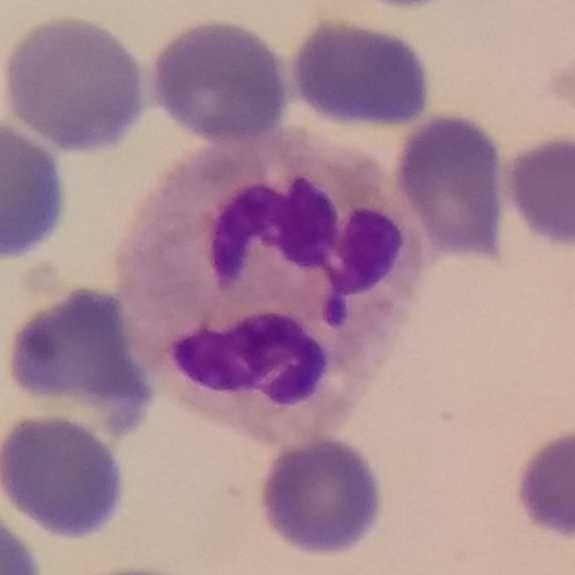

Morphology → neutrophilic granulocyte.